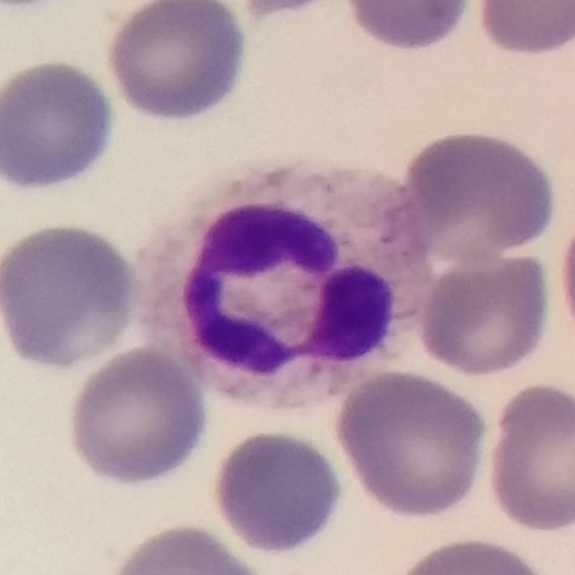 The cell is neutrophilic granulocyte.